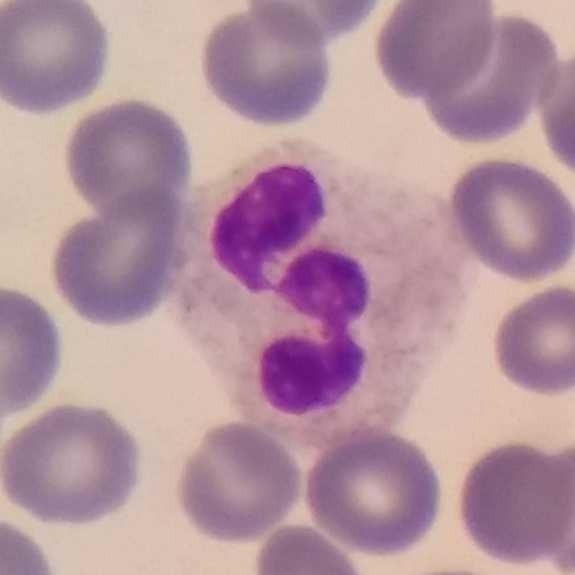

Image: Peripheral blood smear · 575×575 px · single-cell crop.
Cell type = neutrophil.